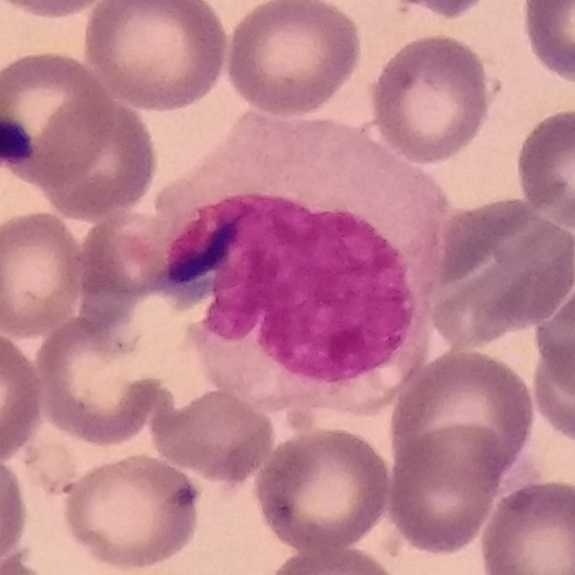Image: 575 by 575 pixels. Specimen: peripheral blood film.
Cell: monocyte.
Lineage: myeloid.